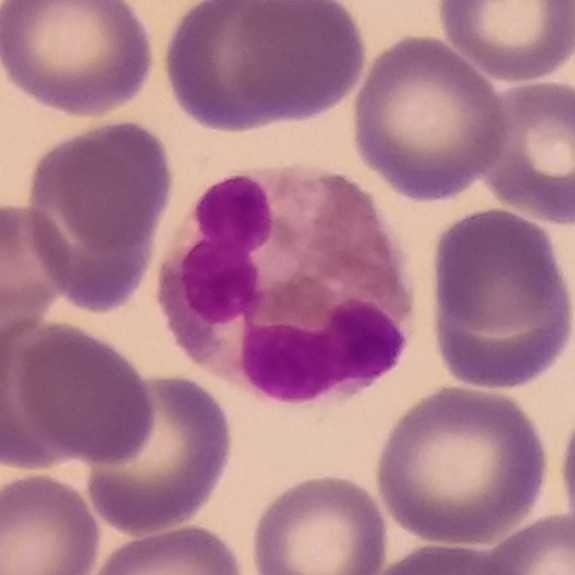Peripheral blood smear.
Q: Which type of white blood cell is this?
A: This is an eosinophilic granulocyte.